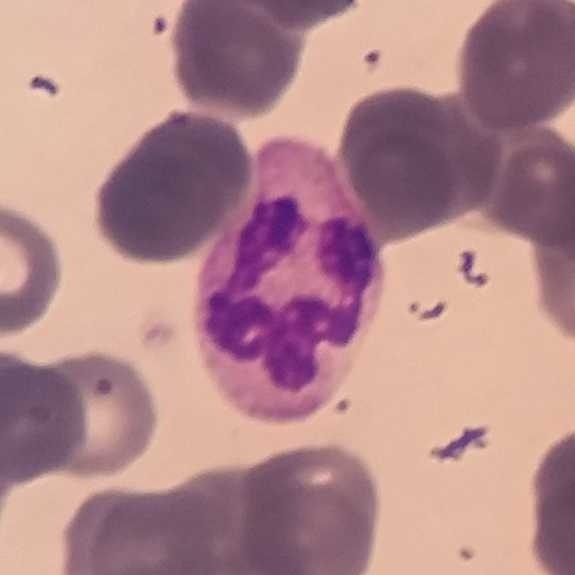 Specimen: peripheral blood film.
Morphological class: neutrophil.